Peripheral blood smear.
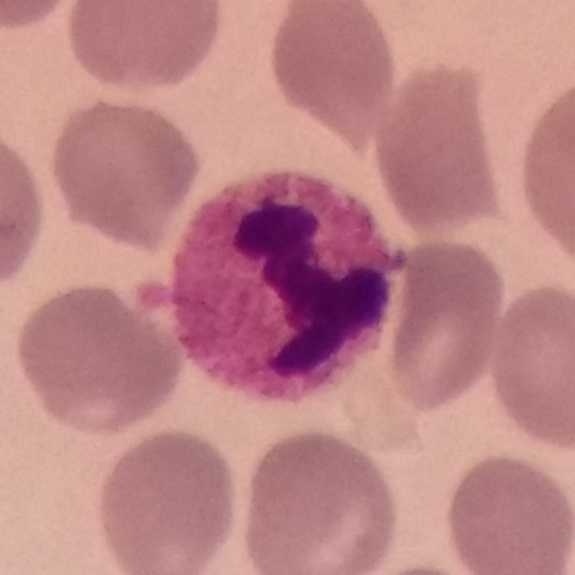 Single cell identified as a neutrophilic granulocyte.